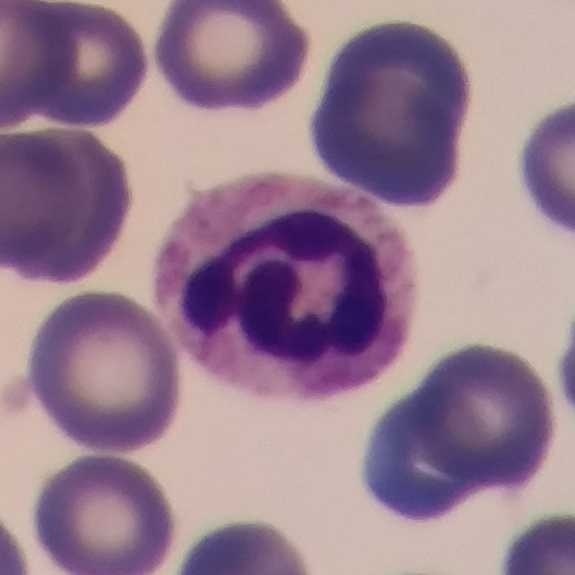
Cropped to one leukocyte · peripheral blood film.

The cell type is neutrophil granulocyte.